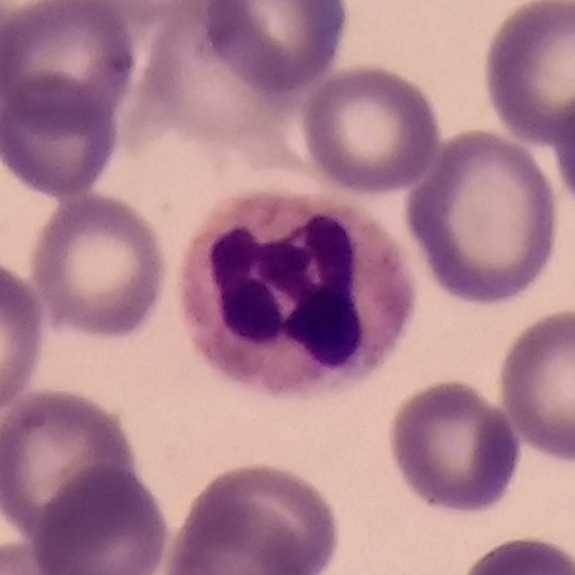
Specimen: peripheral blood film.
Morphological class: neutrophil granulocyte.